Giemsa-stained. Peripheral blood smear: 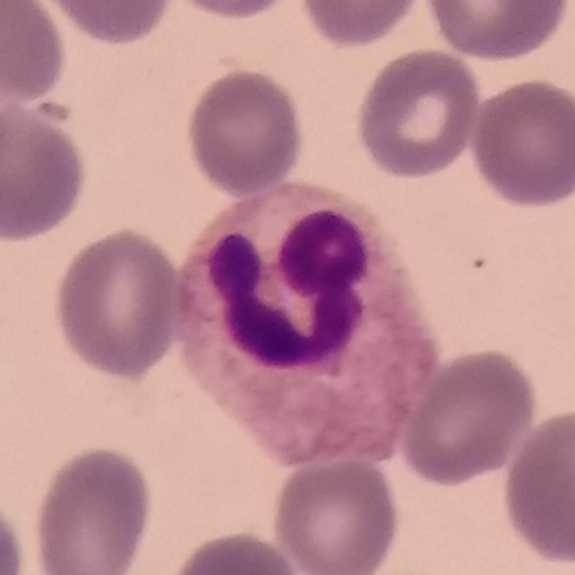
This is a neutrophil.